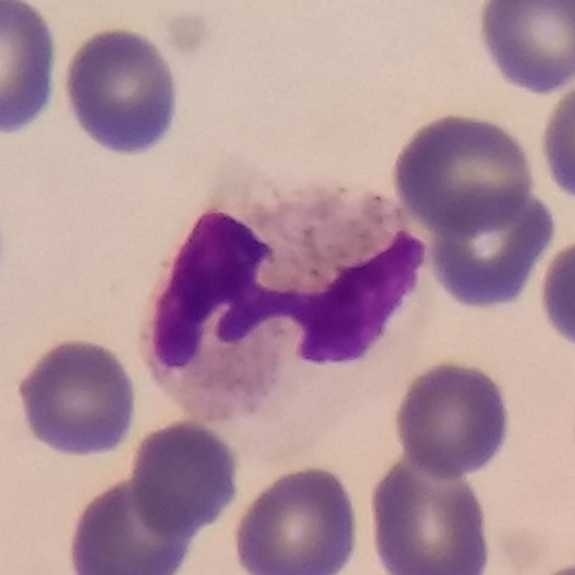 White blood cell type = neutrophil granulocyte. Peripheral blood film.